Stained with Giemsa; peripheral blood smear: 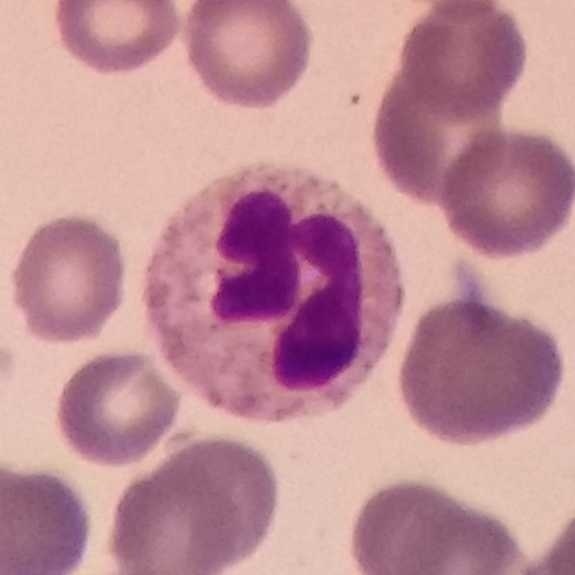

White blood cell type — neutrophil granulocyte.